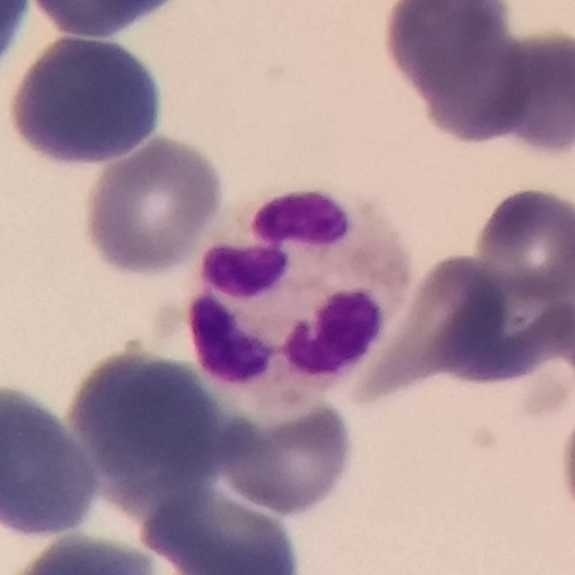 Q: Which cell type is shown here?
A: This is a neutrophil granulocyte.
Preparation: Peripheral blood smear. Smartphone photomicrograph. Cropped to one leukocyte.